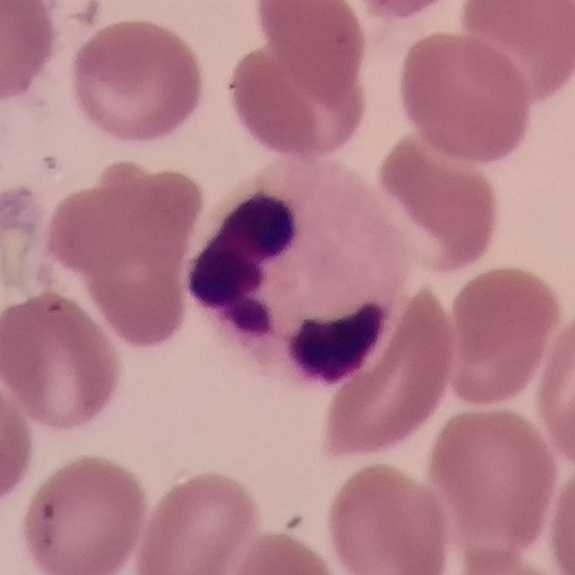
Peripheral blood film, single cell — neutrophil.